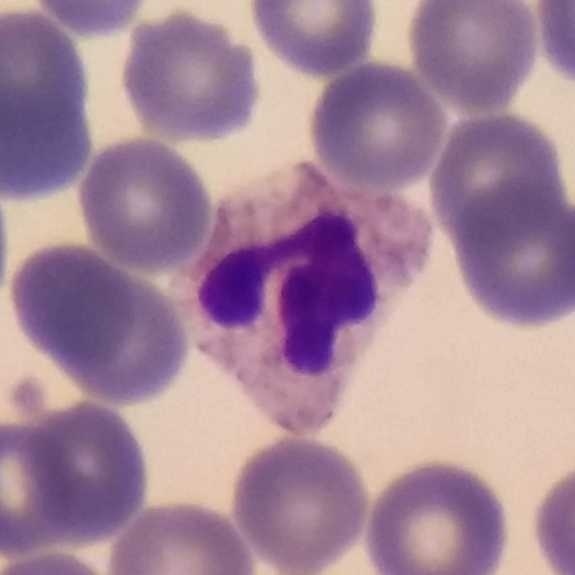Showing a neutrophil granulocyte. Preparation: Peripheral blood film. Giemsa-stained.